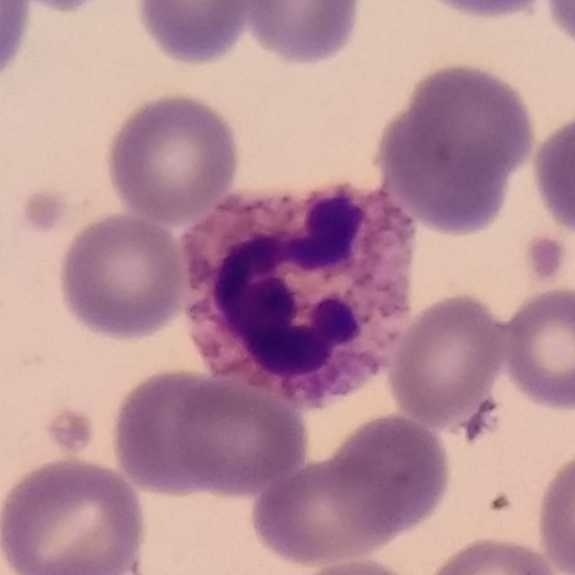Acquisition: Peripheral blood smear. Image size 575×575. Magnification 100×. The white blood cell in this image is a neutrophil.